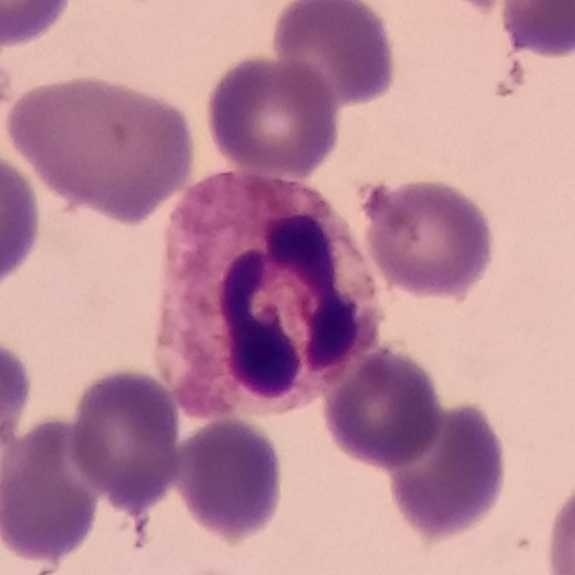 Single-cell crop from a peripheral blood smear: neutrophilic granulocyte.